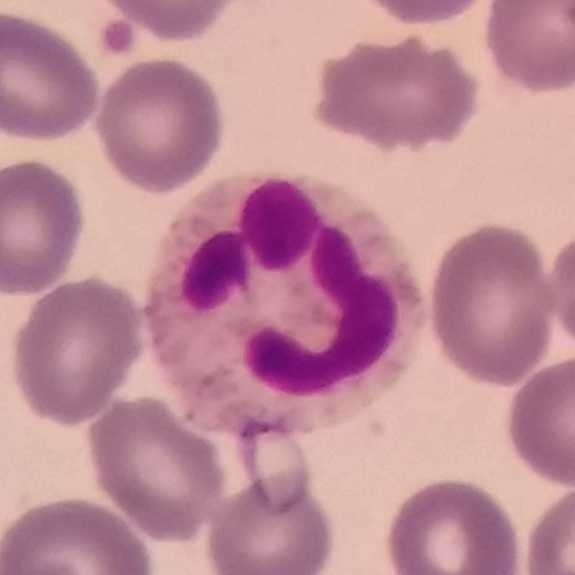Morphological class = neutrophil. Preparation: Cropped to one leukocyte · peripheral blood film · 575×575 px.